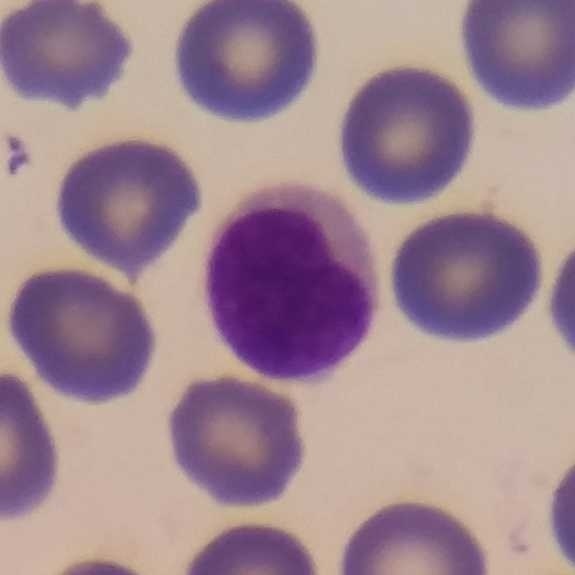
Classification = lymphocyte.